Peripheral blood smear — 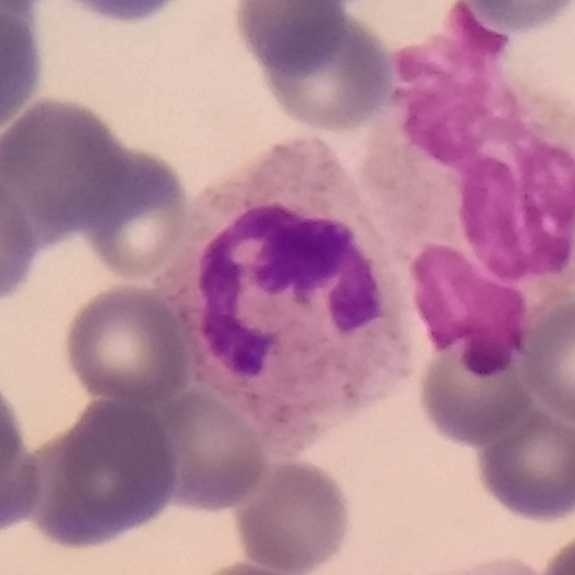Specimen: peripheral blood film.
Cell: neutrophil granulocyte.
Lineage: myeloid.